Single-cell crop; 575×575; peripheral blood smear:
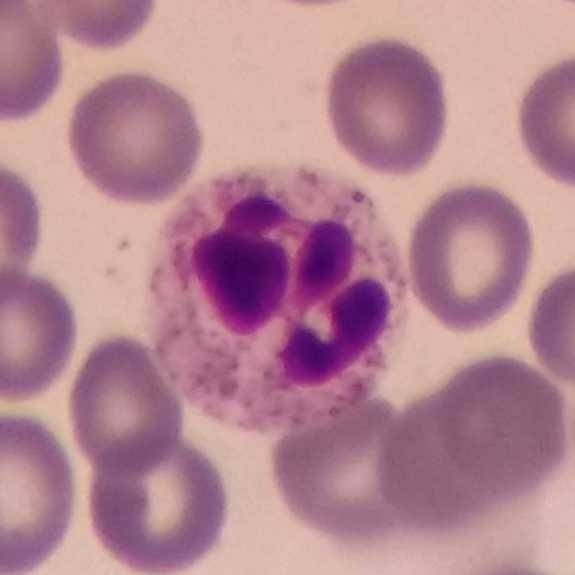
The cell type is neutrophil granulocyte.